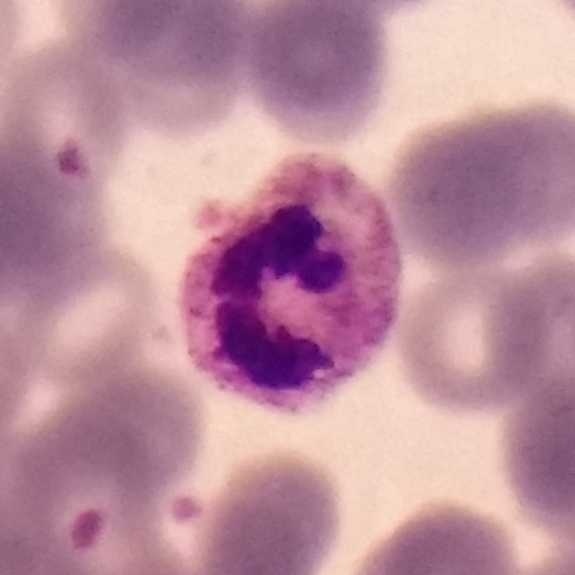

Identified as a neutrophil granulocyte.

Context: Cropped to one leukocyte; peripheral blood smear.